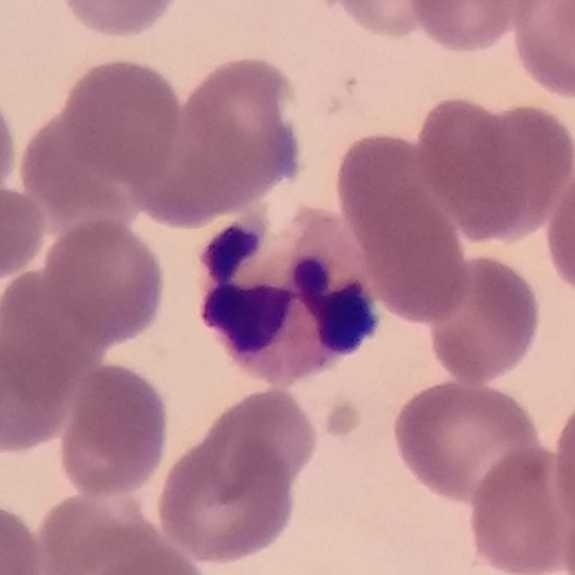

Image: Giemsa-stained; peripheral blood smear.
The white blood cell in this image is a neutrophilic granulocyte.